Peripheral blood film:
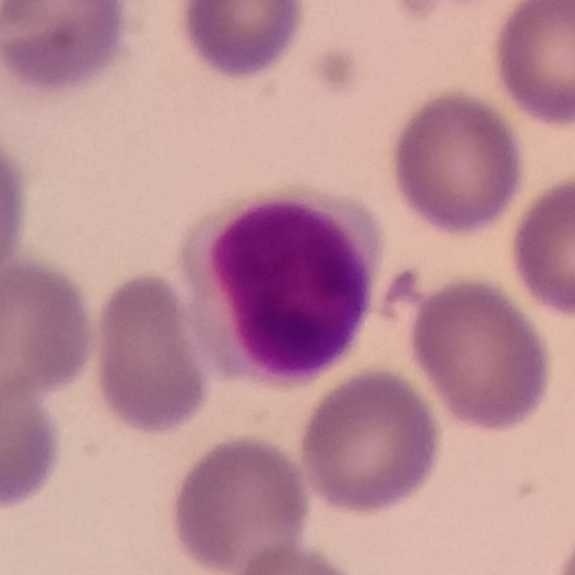
Q: Which type of white blood cell is this?
A: It is a lymphocyte.